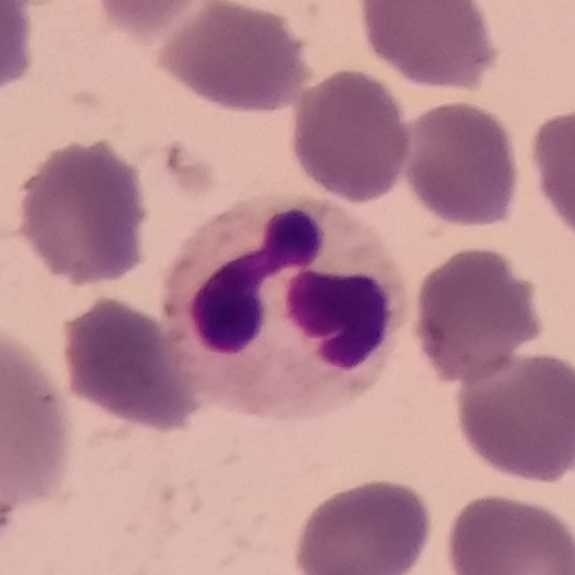

Identified as a neutrophil granulocyte.